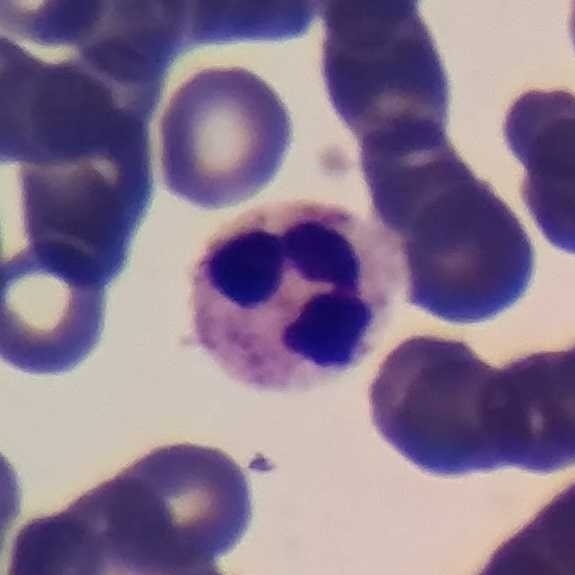

Single cell identified as a neutrophil. Photographed through a light microscope with a smartphone camera. 100× magnification. Peripheral blood film.